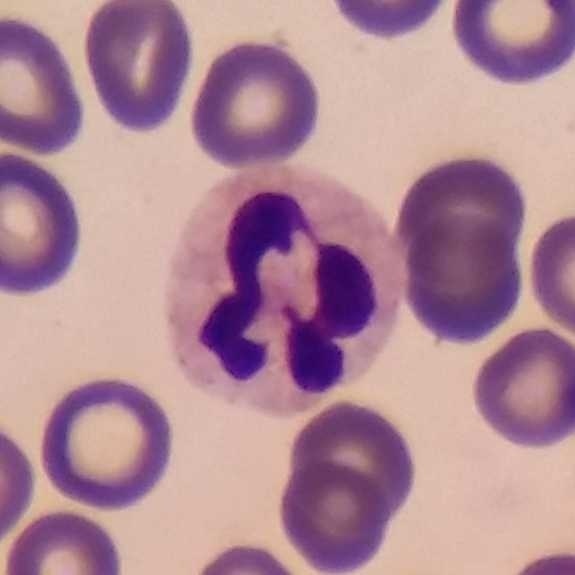Context: Imaged at 100×. Specimen: peripheral blood smear.
Morphological class: neutrophil granulocyte.